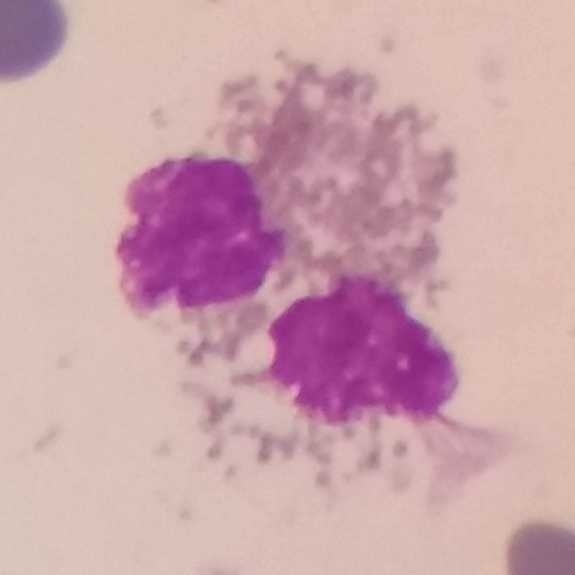
Specimen: peripheral blood film.
Morphological class: eosinophilic granulocyte.
Acquisition: Magnification 100×.